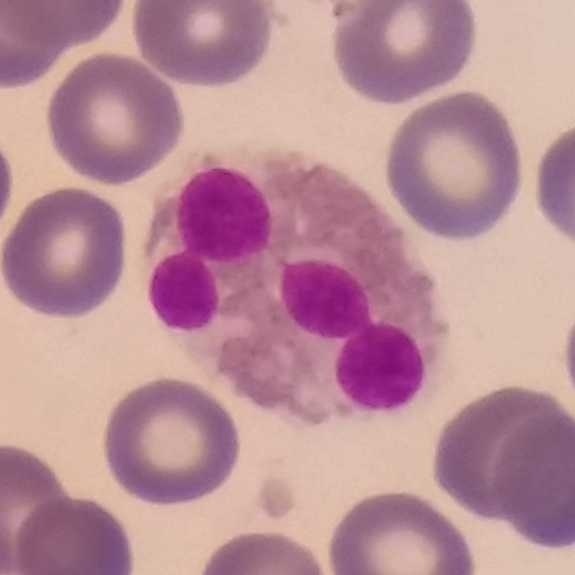Peripheral blood smear. Cropped to one leukocyte.

White blood cell type — eosinophilic granulocyte.